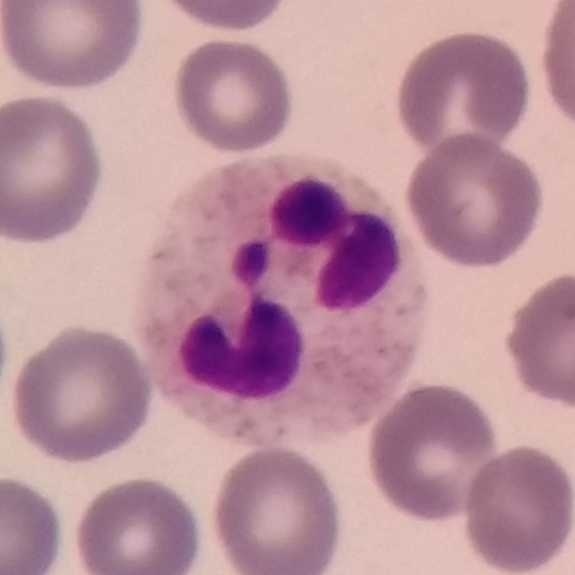

Acquisition: Peripheral blood film · magnification 100× · 575×575 px. Identified as a neutrophil.